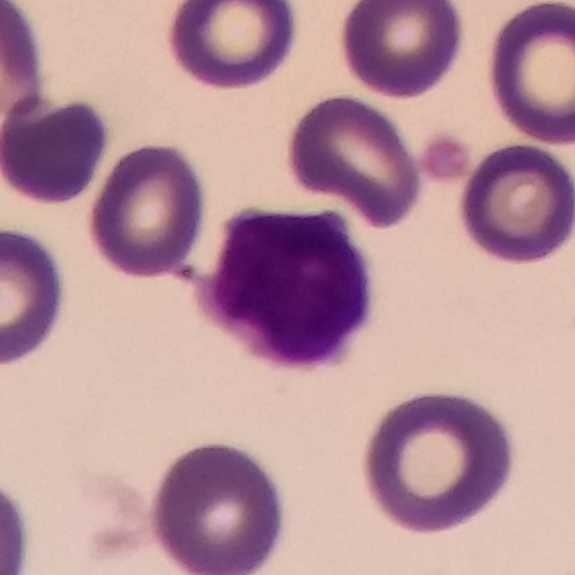Peripheral blood smear. Morphology → lymphocyte.